Photographed through a light microscope with a smartphone camera. Peripheral blood smear:
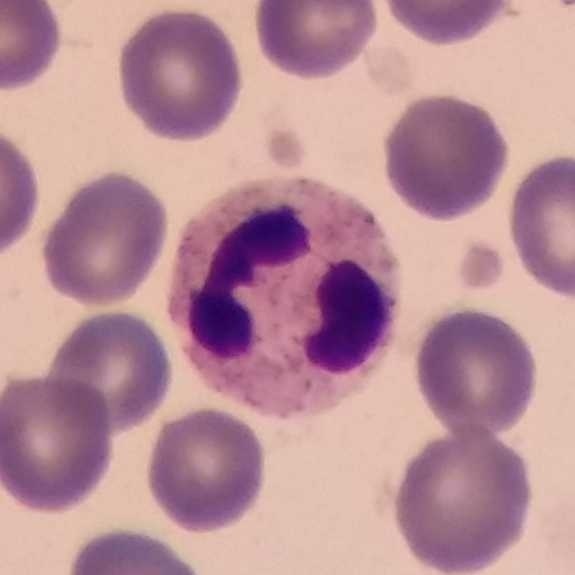 The cell shown is a neutrophilic granulocyte.